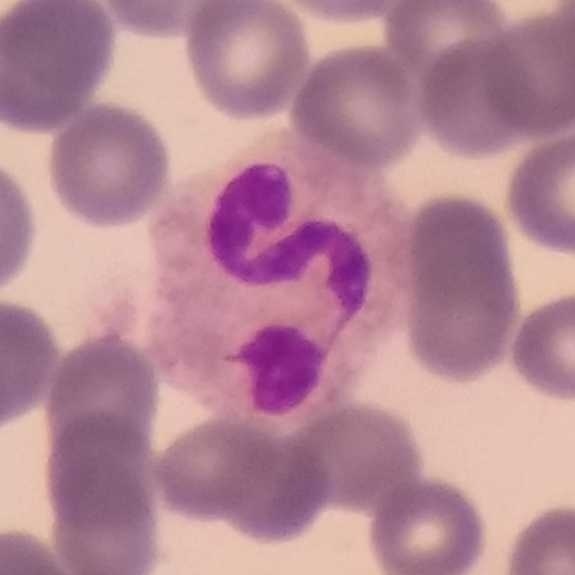 Classification: neutrophilic granulocyte.
Peripheral blood film; smartphone photomicrograph.